Peripheral blood film — 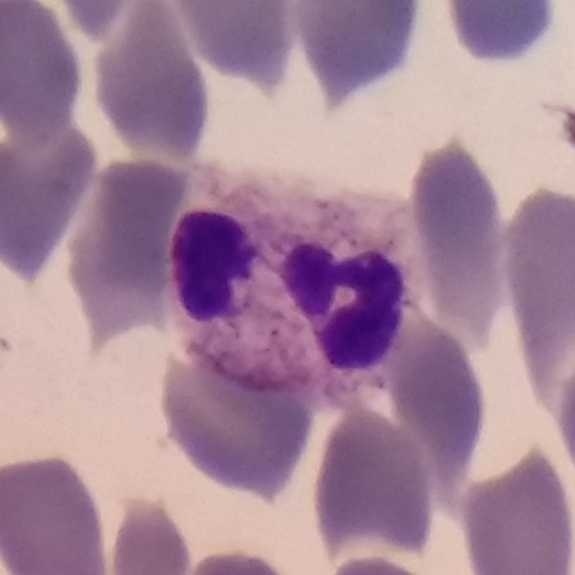

Specimen: peripheral blood smear.
White blood cell type: neutrophilic granulocyte.